Peripheral blood smear — 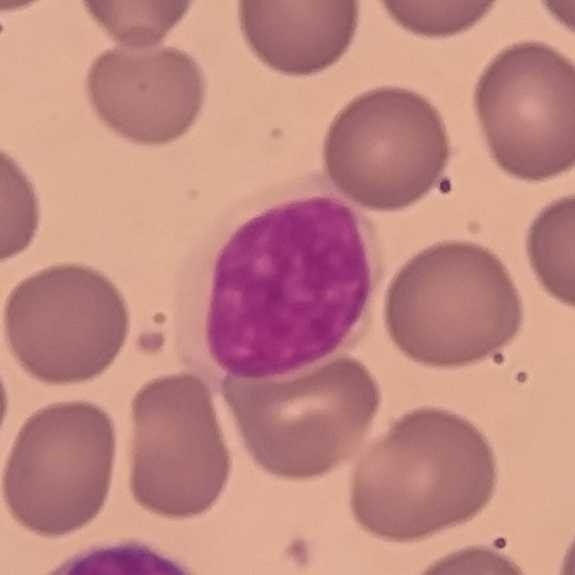
Morphological class — lymphocyte.